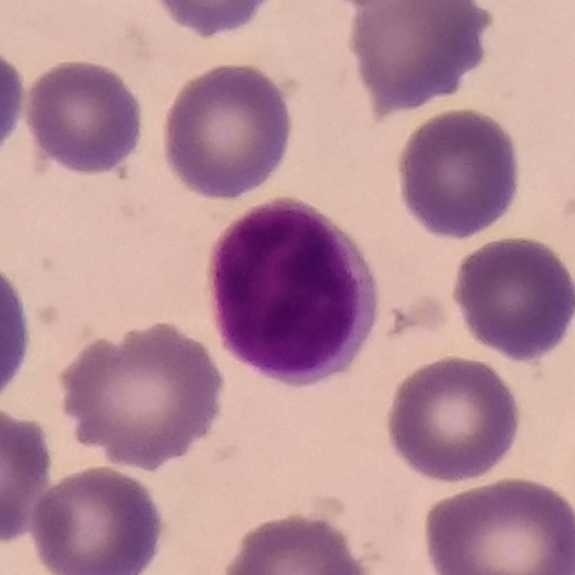
Specimen: peripheral blood film.
White blood cell type: lymphocyte.